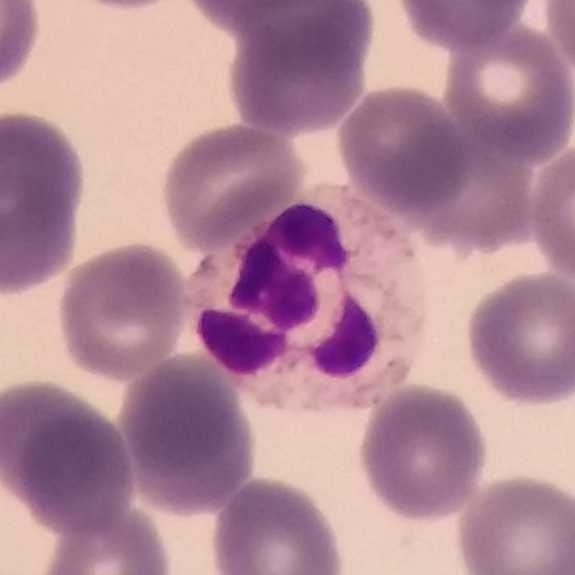Giemsa stain · peripheral blood film · cropped to one leukocyte.
Cell: neutrophilic granulocyte.